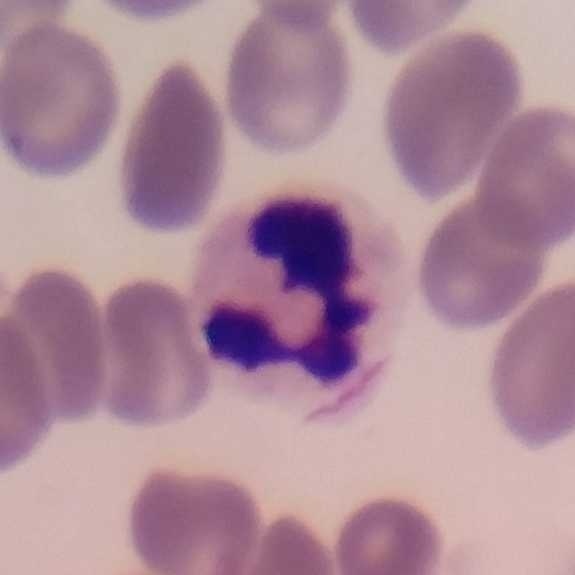
The classification is neutrophilic granulocyte.